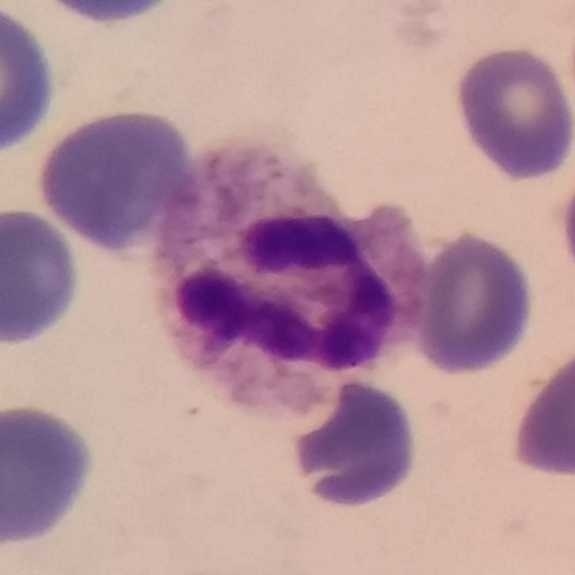

Specimen: peripheral blood film.
Classification: neutrophil.